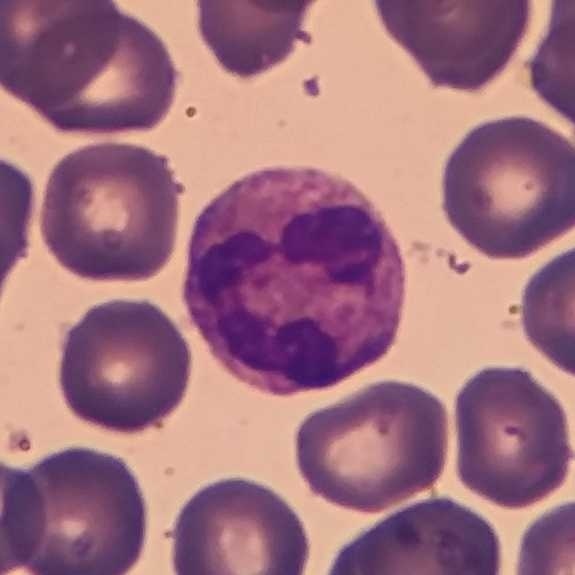
Image: Peripheral blood film. Giemsa-stained.
Cell = neutrophilic granulocyte.